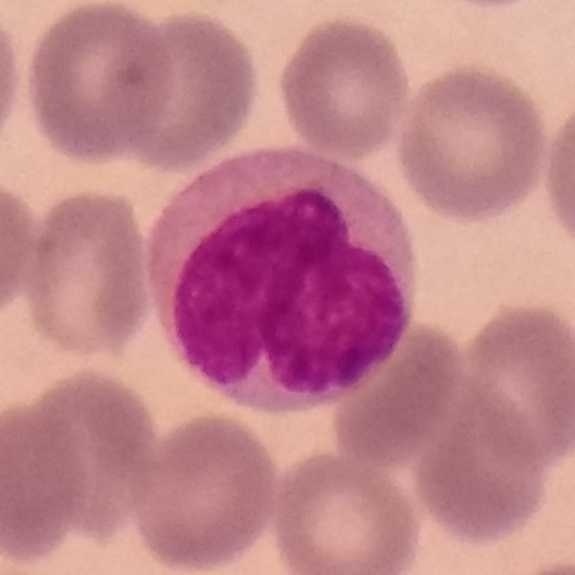 Single cell identified as a monocyte.

Peripheral blood film.